Peripheral blood film: 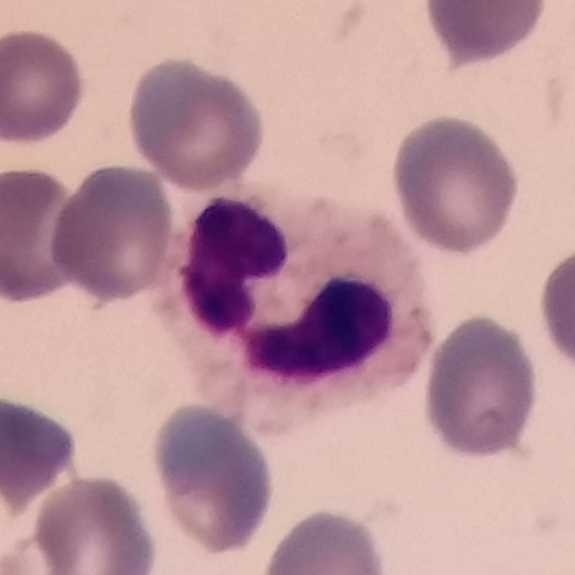 Q: Which type of white blood cell is this?
A: Neutrophil.